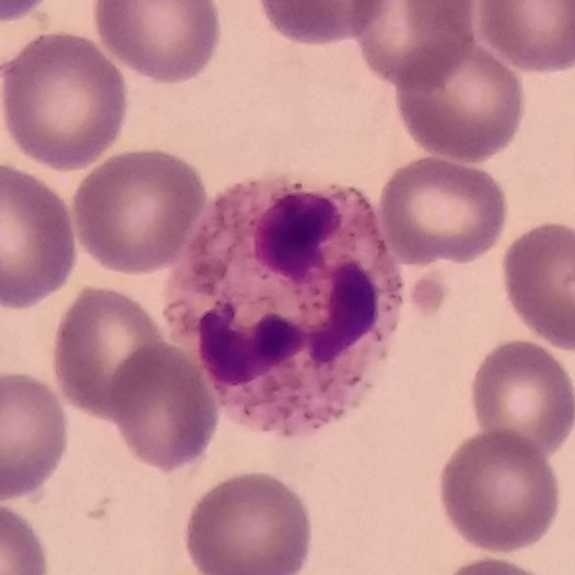 Cell type: neutrophilic granulocyte.
Peripheral blood smear.